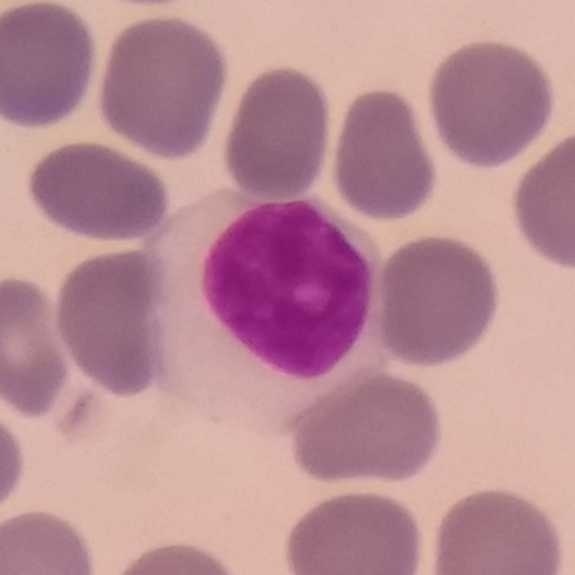 Identified as a lymphocyte. Preparation: Peripheral blood film.